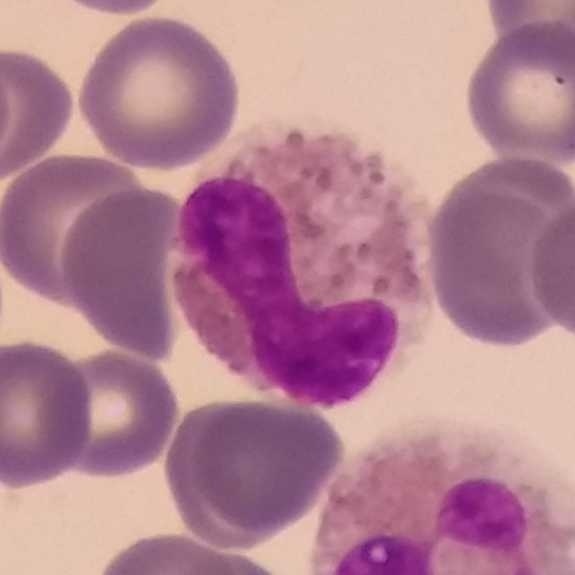 Morphology consistent with an eosinophilic granulocyte.